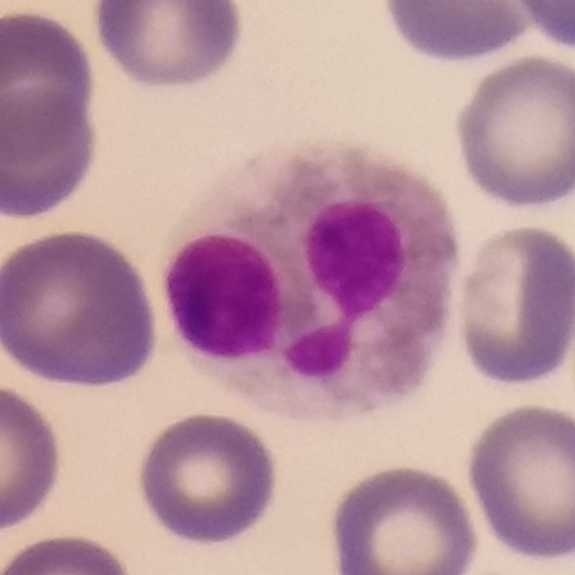

Peripheral blood smear showing an eosinophilic granulocyte.